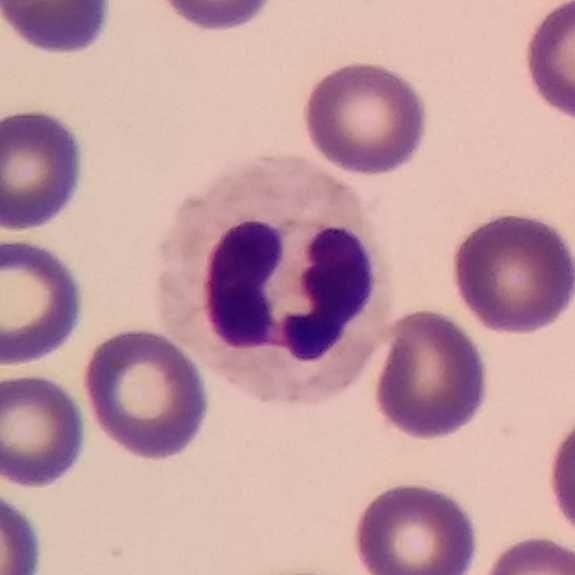

The white blood cell in this image is a neutrophilic granulocyte. Stained with Giemsa · peripheral blood smear.